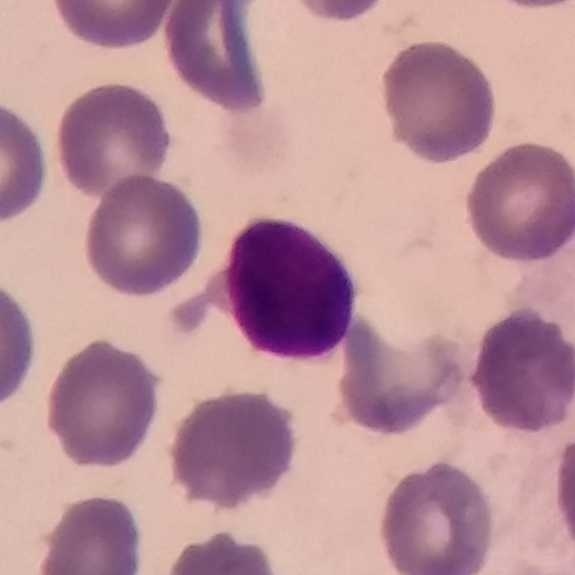

Peripheral blood smear.
The white blood cell in this image is a lymphocyte.